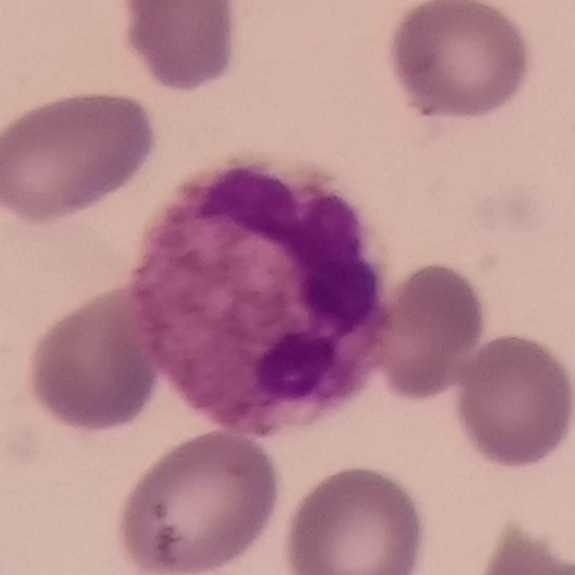Classification — neutrophil granulocyte. Peripheral blood smear · single-cell field.